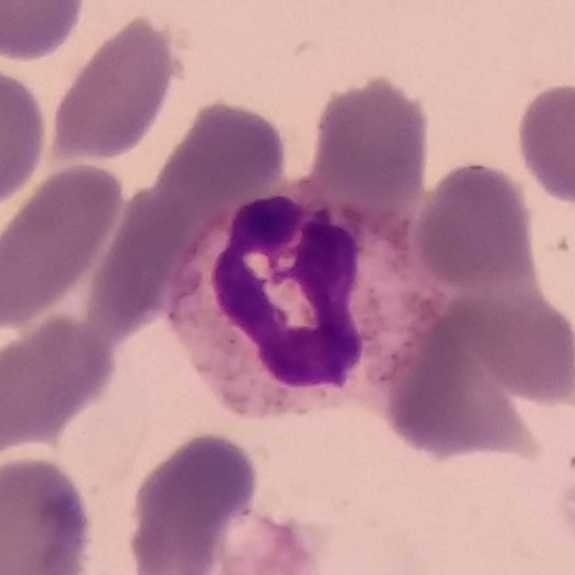A neutrophil granulocyte on a peripheral blood smear.